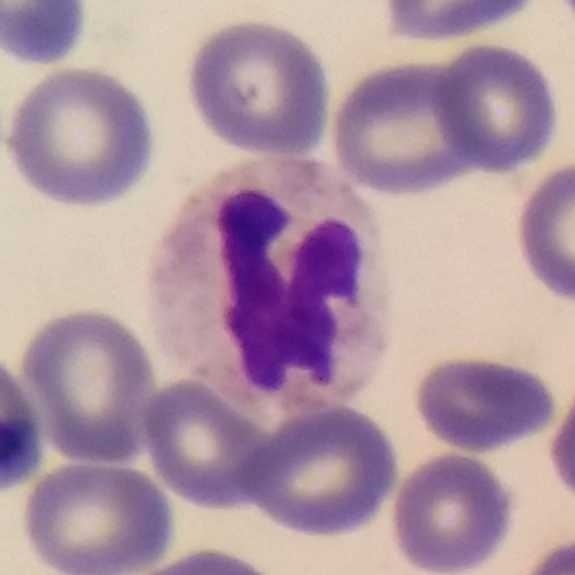Q: What cell is this?
A: It is a neutrophil granulocyte.